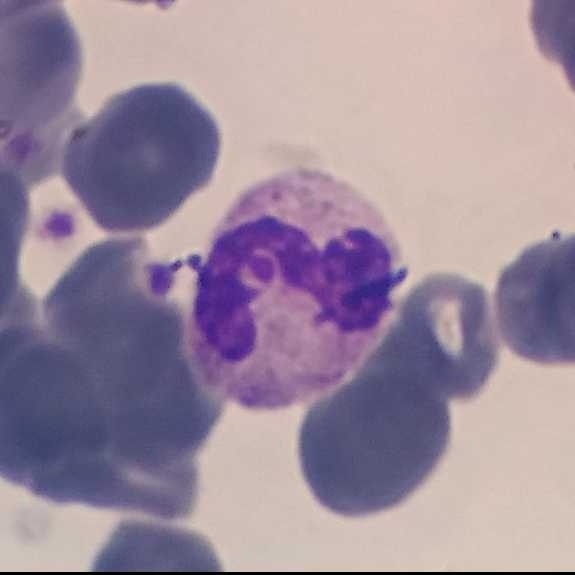
The cell type is neutrophilic granulocyte.